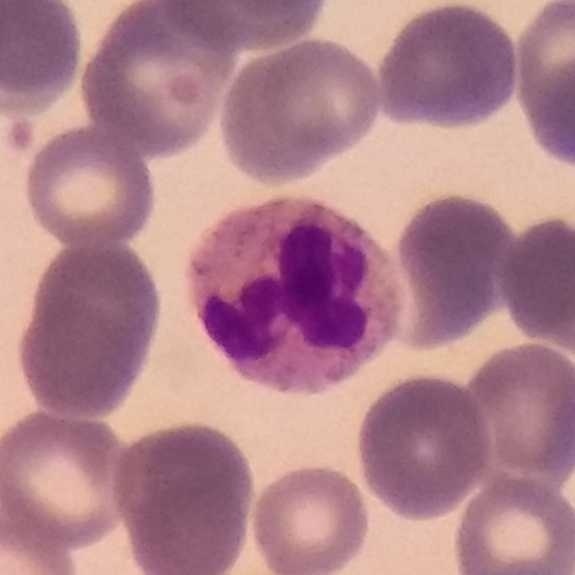
575×575 px · smartphone photomicrograph · peripheral blood smear. The cell is neutrophilic granulocyte.